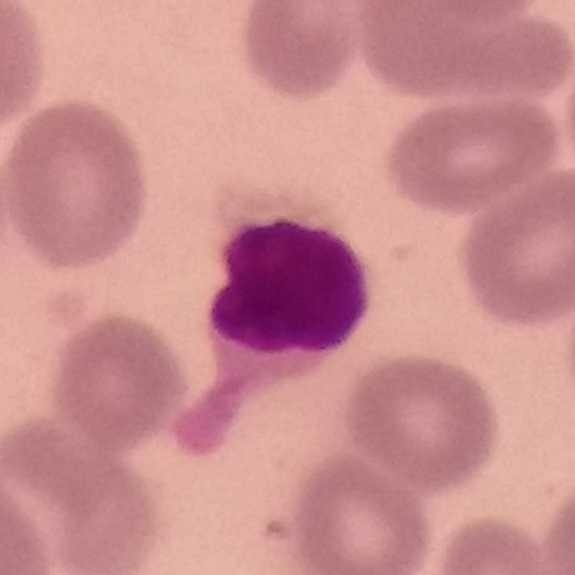 Context: Smartphone photomicrograph.
Specimen: peripheral blood film.
Classification: lymphocyte.